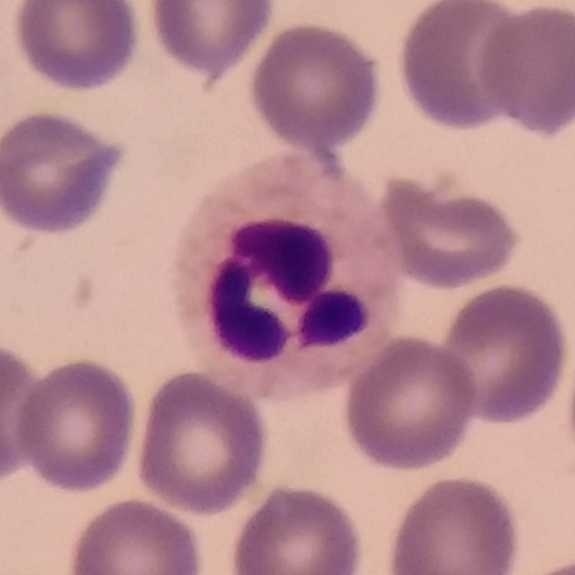 Morphology consistent with a neutrophil granulocyte.
Context: 575 by 575 pixels · peripheral blood film.